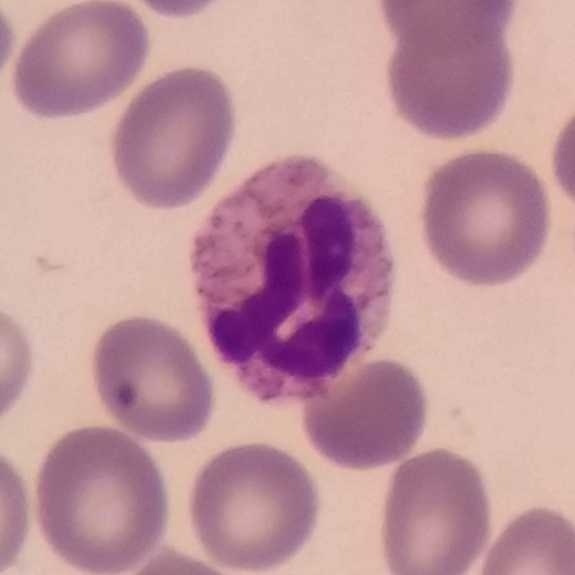

This is a neutrophil.
Preparation: 575×575 px · peripheral blood film · single white blood cell cropped from the smear photograph.